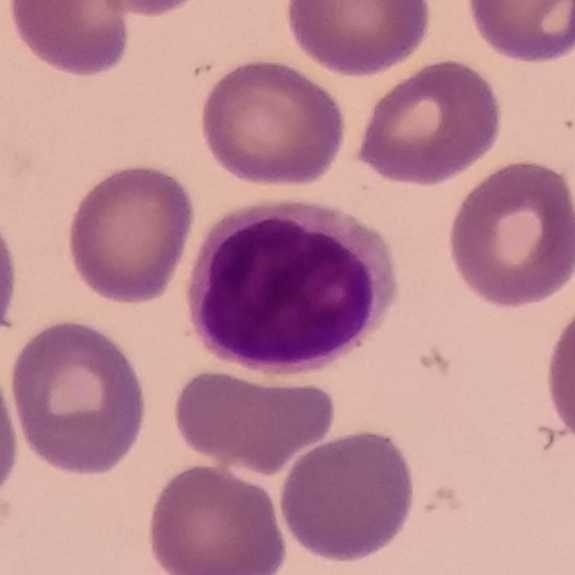
White blood cell from a peripheral blood smear: lymphocyte.